Peripheral blood film
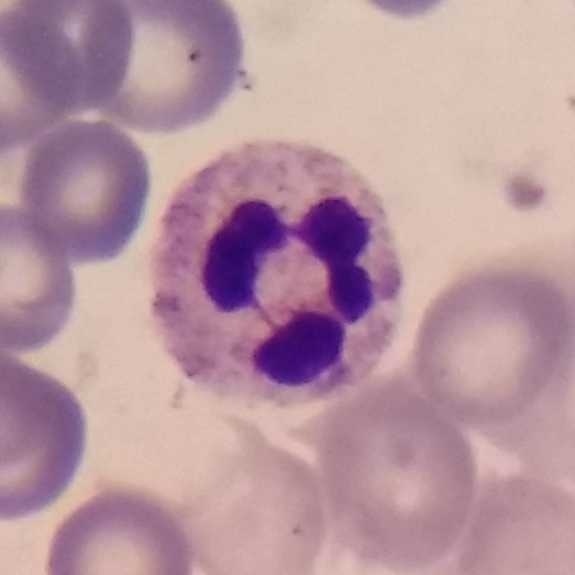

Morphology — neutrophil.